Giemsa-stained. Peripheral blood film. 575 by 575 pixels: 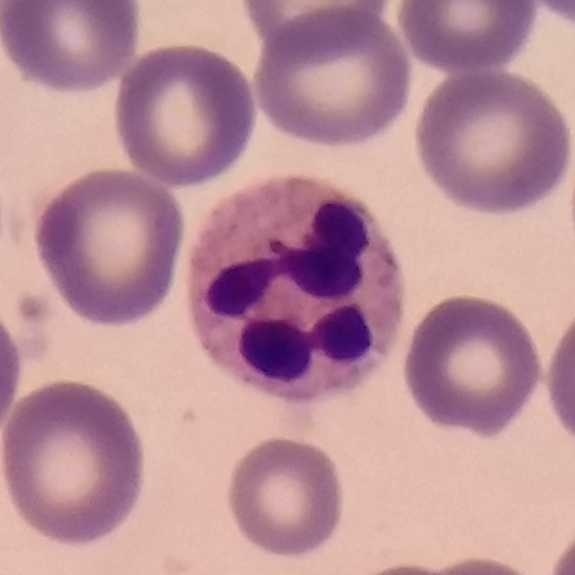

Specimen: peripheral blood film.
Cell: neutrophil.
Lineage: myeloid.